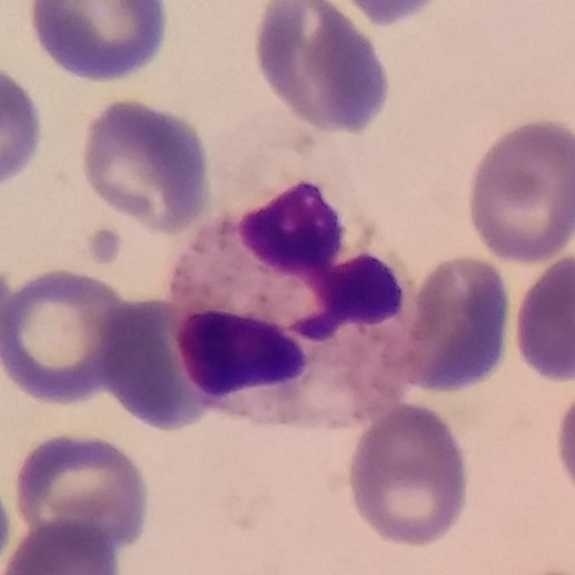
Morphology → neutrophilic granulocyte.

Context: 100× magnification · peripheral blood film.